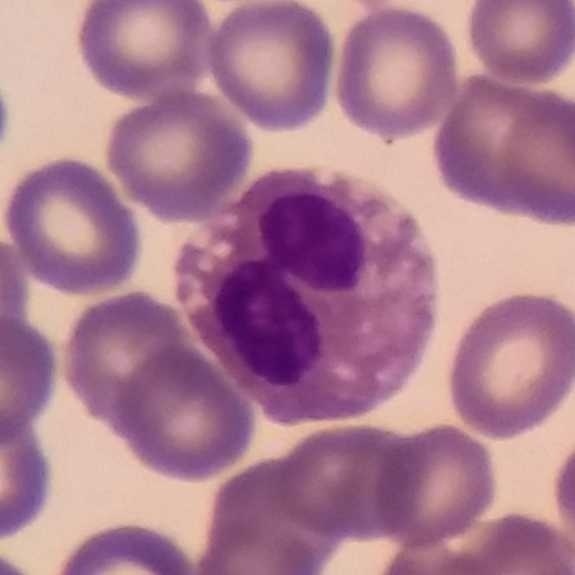
Morphology → eosinophilic granulocyte.